Peripheral blood smear — 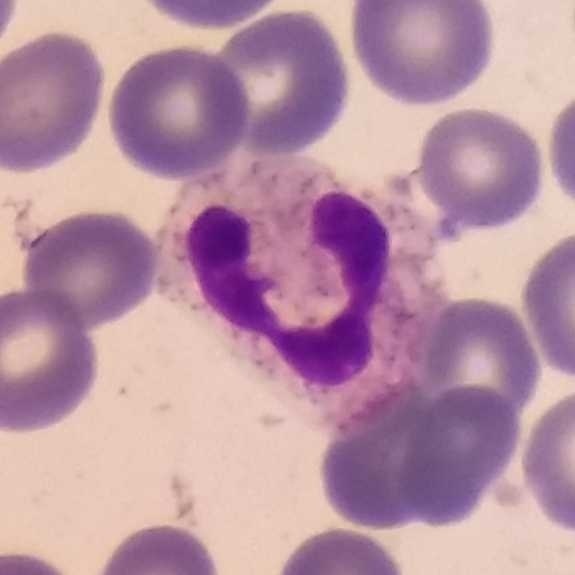 Classification: neutrophilic granulocyte.